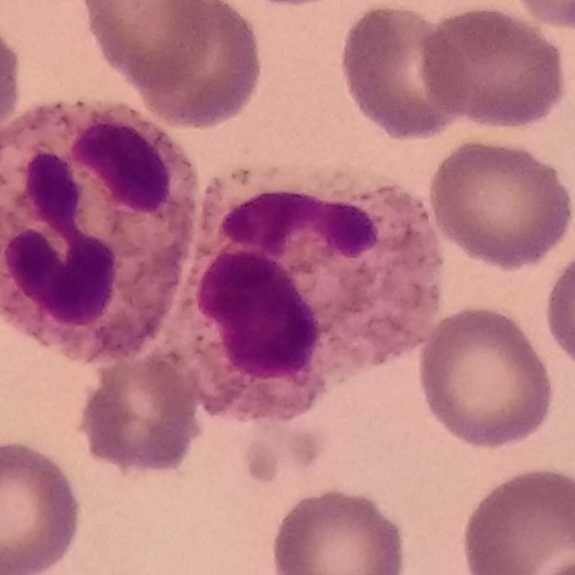

Preparation: Peripheral blood smear.

Q: What type of cell is this?
A: A neutrophil.